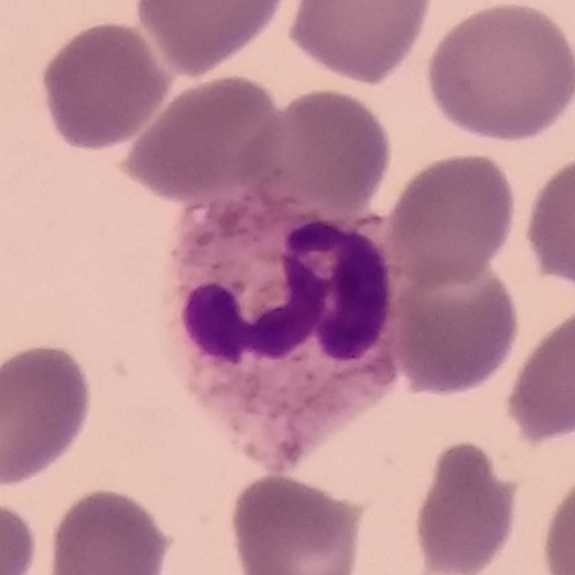 {"cell_type": "neutrophilic granulocyte", "lineage": "myeloid"} Preparation: Peripheral blood smear.